Peripheral blood smear: 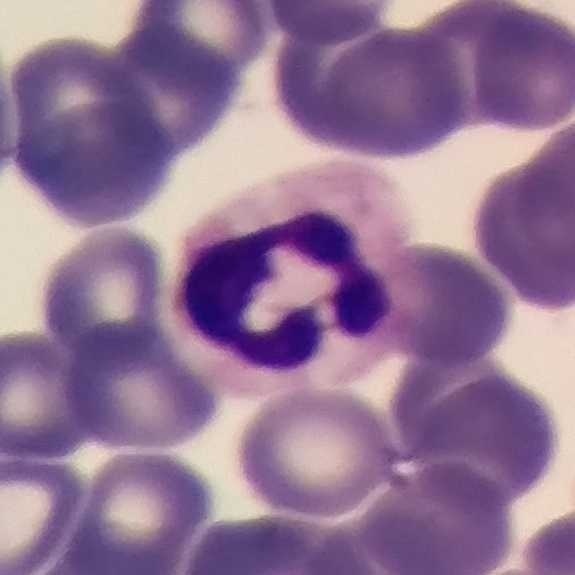

Q: What is shown here?
A: This is a neutrophilic granulocyte.